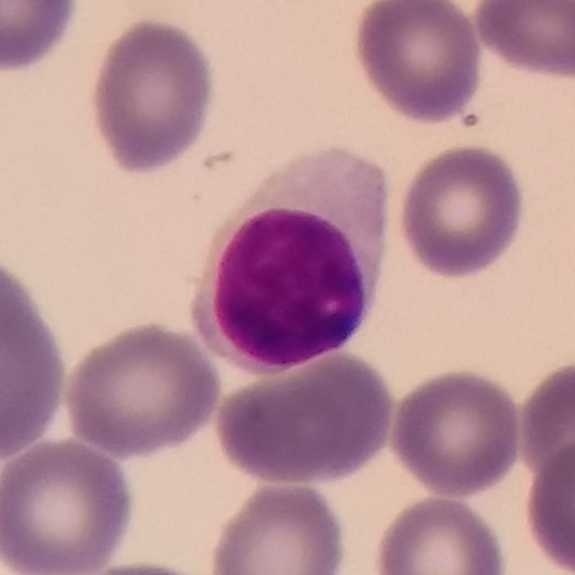The cell shown is a lymphocyte.
Preparation: Imaged at 100×; peripheral blood film.